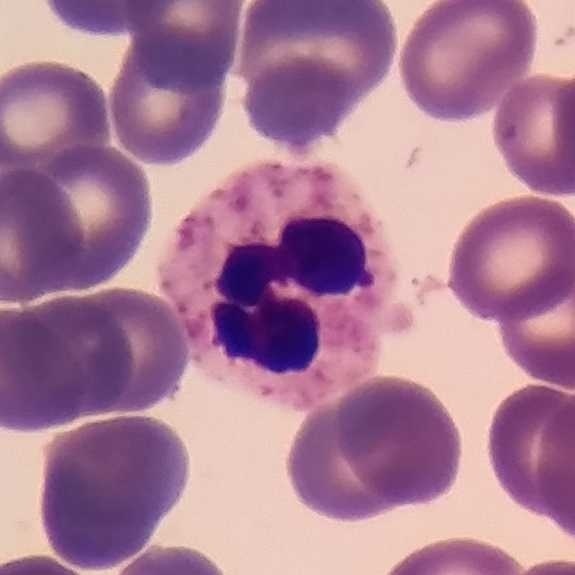 Smartphone photomicrograph. Peripheral blood film. Q: What is shown here?
A: A neutrophilic granulocyte.